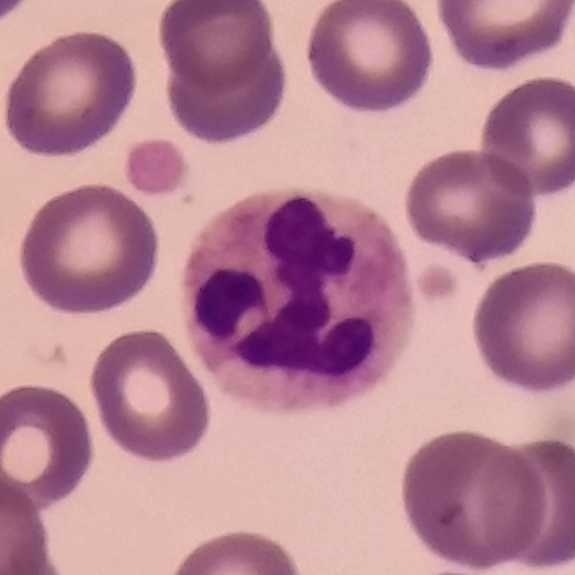
Context: Peripheral blood smear. Image size 575×575. Magnification 100×. Cell — neutrophilic granulocyte.